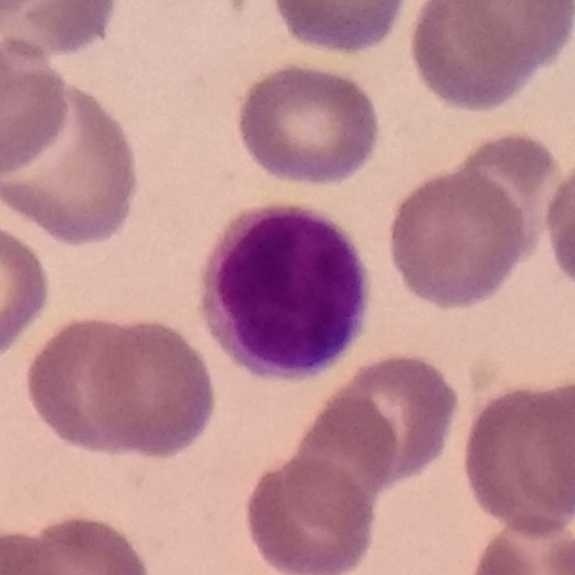 Impression → lymphocyte.